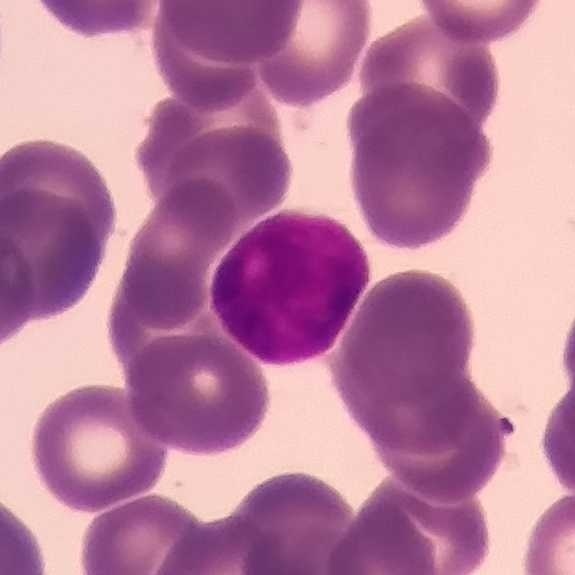Morphology → lymphocyte.